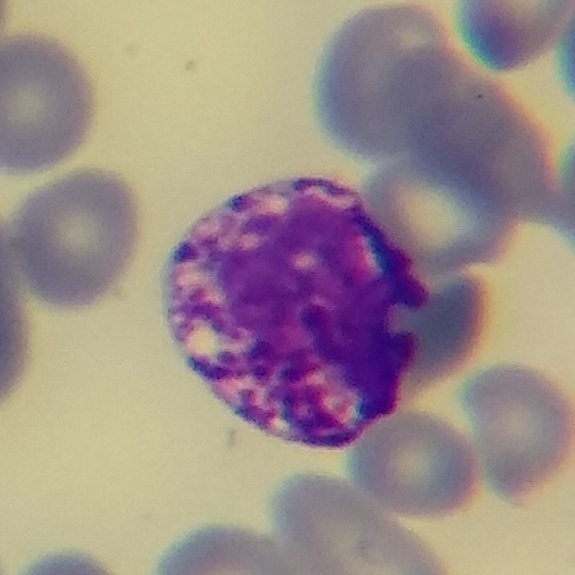
{"cell_type": "basophil", "lineage": "myeloid"} Image: Peripheral blood smear.